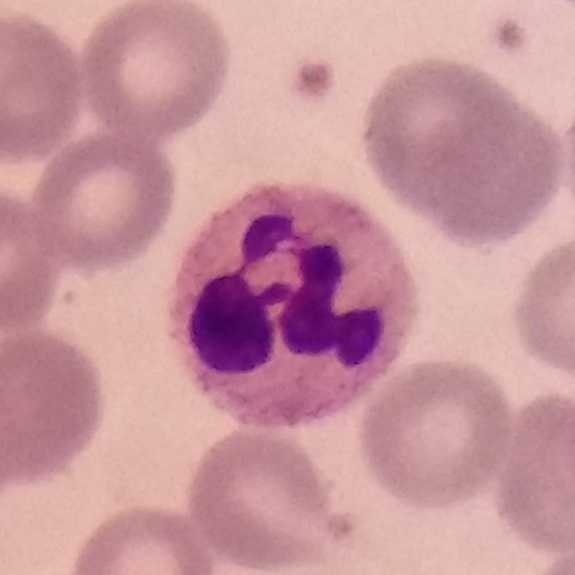

{"cell_type": "neutrophilic granulocyte"}
Peripheral blood smear; 100× magnification; photographed through a light microscope with a smartphone camera.